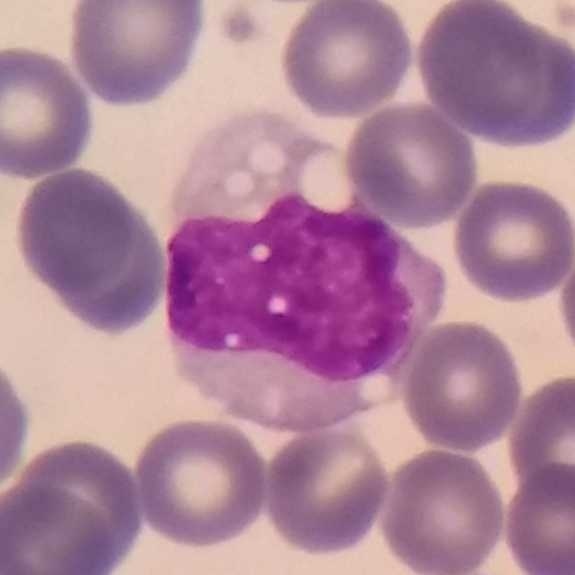 The classification is monocyte. Context: Peripheral blood film.